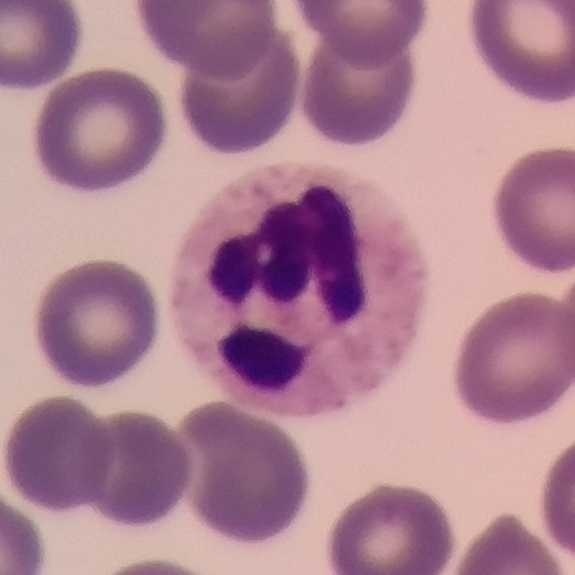 Image size 575×575. Peripheral blood film.
Showing a neutrophilic granulocyte.